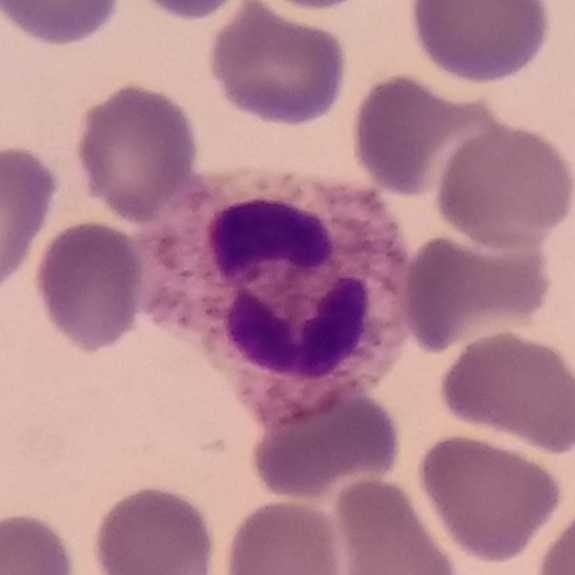Specimen: peripheral blood film.
Morphological class: neutrophil granulocyte.
Lineage: myeloid.